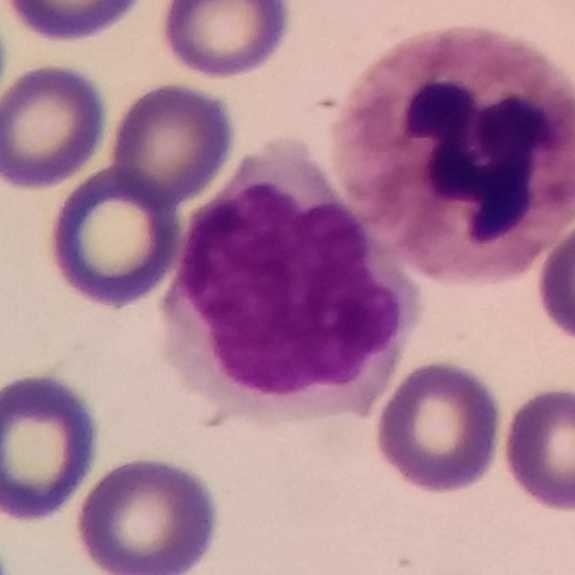

Showing a monocyte.